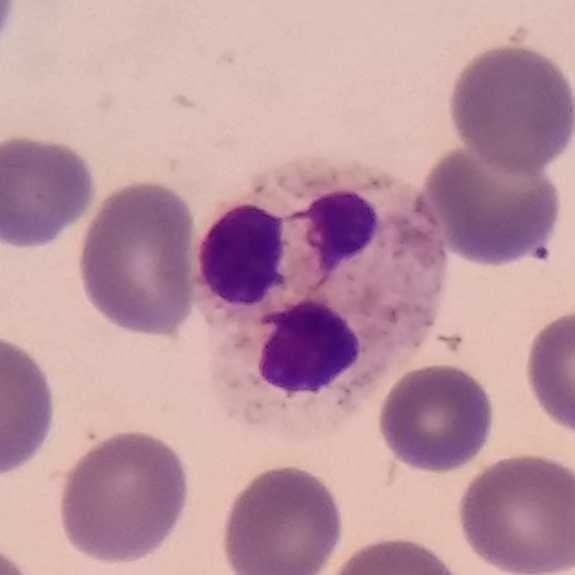 The cell type is neutrophil.

Context: Peripheral blood smear.